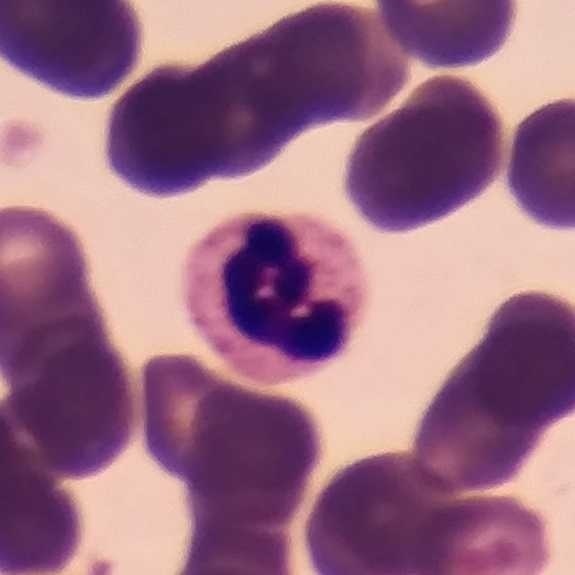The white blood cell in this image is a neutrophil granulocyte.